Peripheral blood smear:
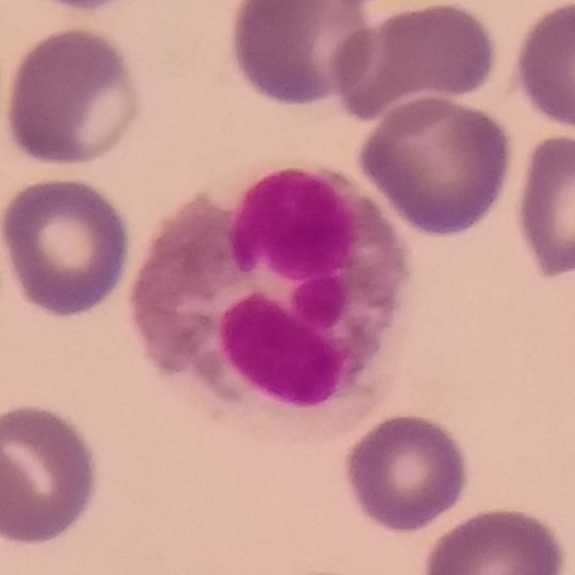 The classification is eosinophil.